Peripheral blood film.
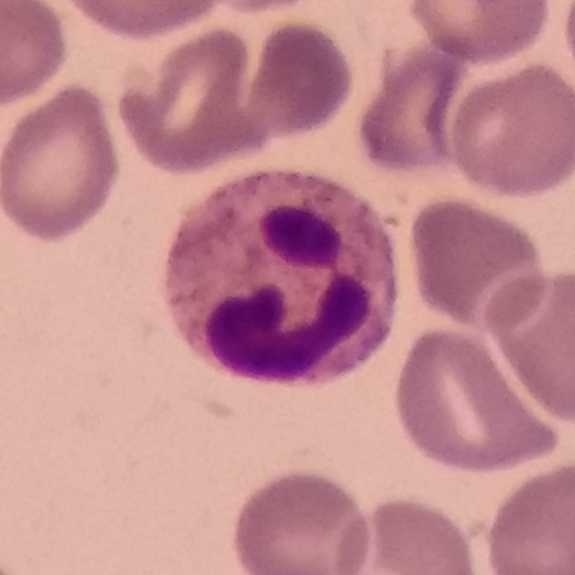

The cell shown is a neutrophilic granulocyte.